Single-cell field; peripheral blood film; 575×575.
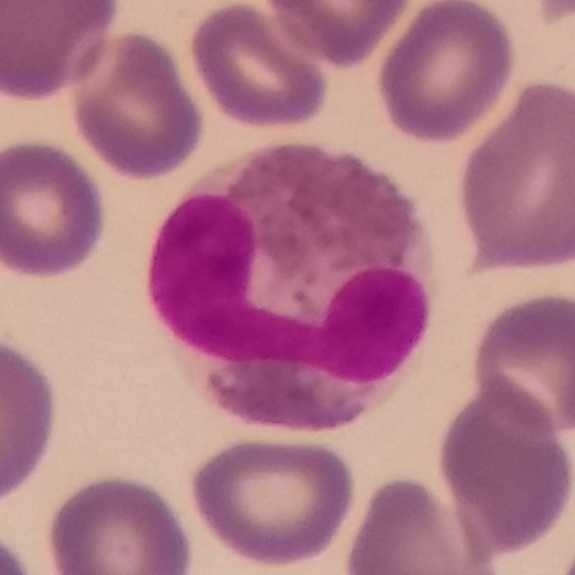

Showing an eosinophil.